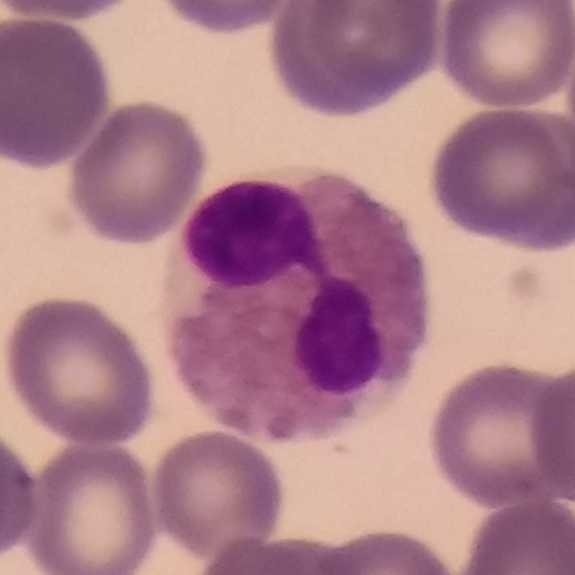
From a peripheral blood smear: an eosinophil.